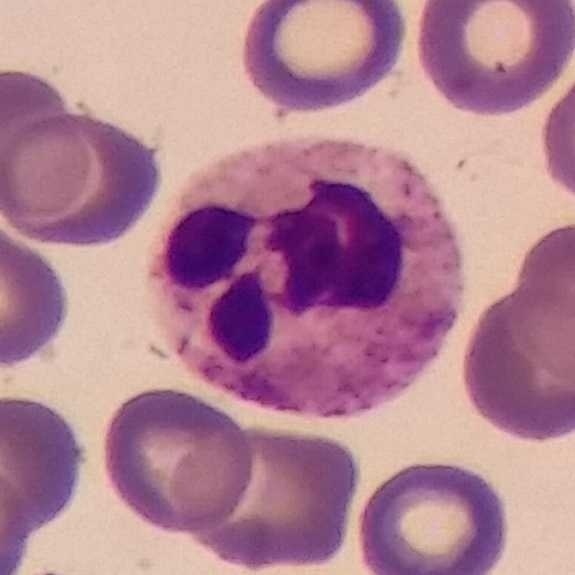
White blood cell type — neutrophil granulocyte.

Acquisition: Peripheral blood smear; image size 575×575.